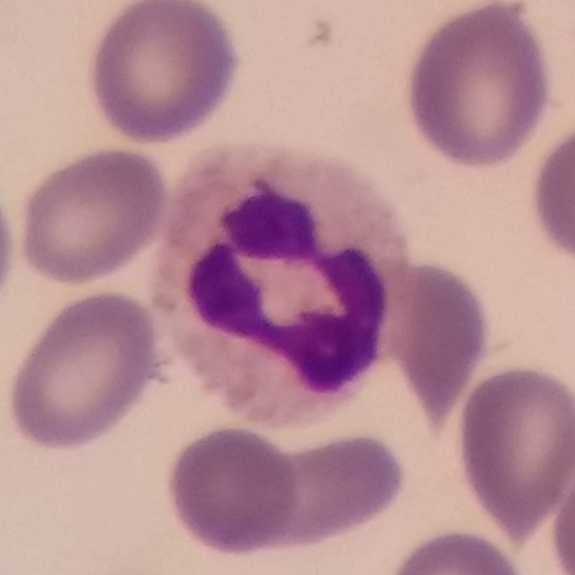 Impression → neutrophil. Preparation: Single-cell crop · peripheral blood film · smartphone photomicrograph.